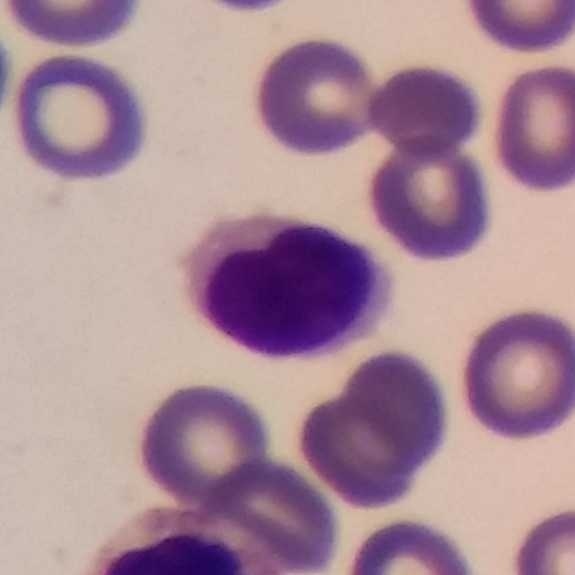
Peripheral blood film. Impression → lymphocyte.